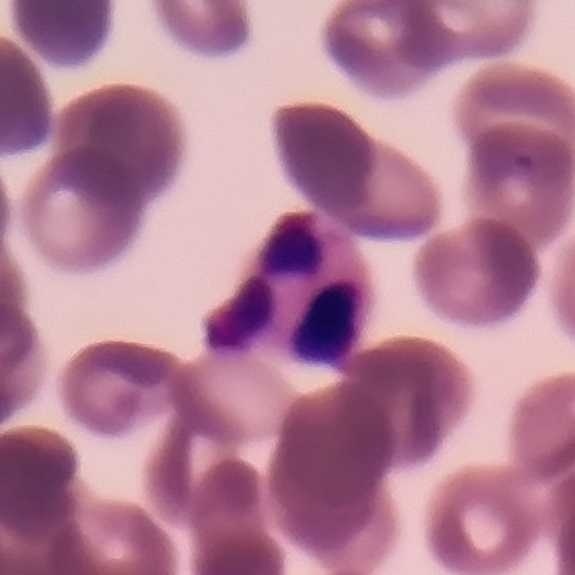Acquisition: Peripheral blood film.

Morphology consistent with a neutrophil.